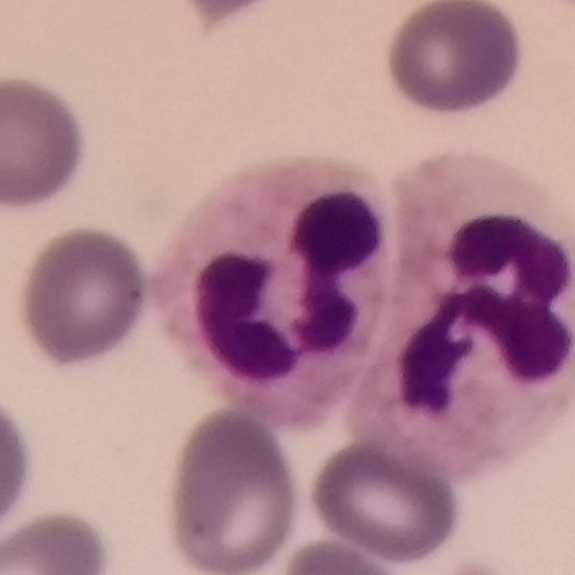
Specimen: peripheral blood film.
White blood cell type: neutrophil.
Lineage: myeloid.